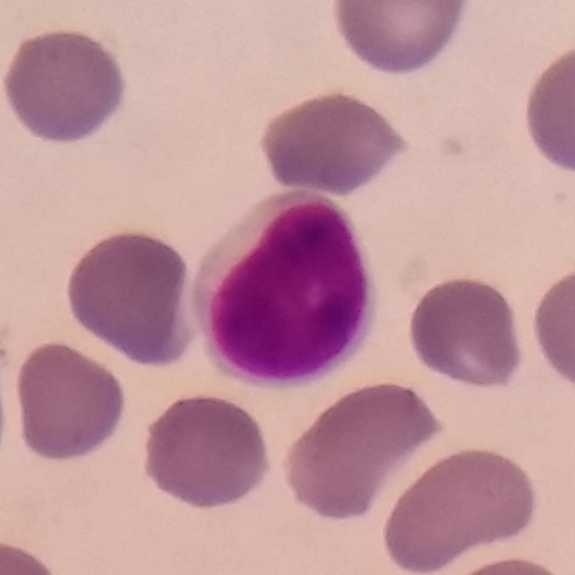Specimen: peripheral blood film.
Cell type: lymphocyte.